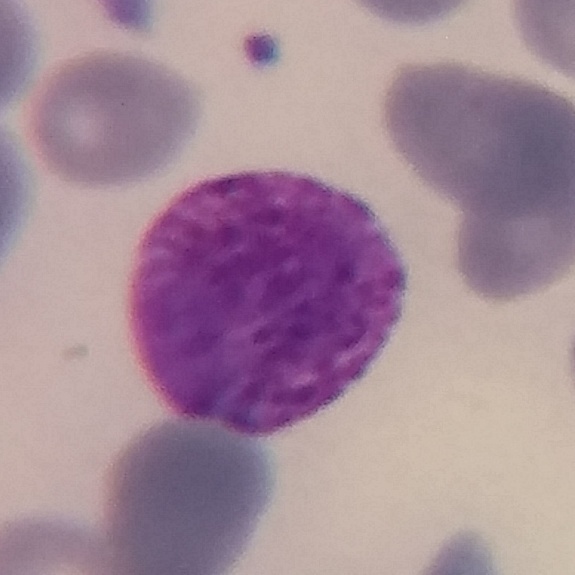

Q: What is this?
A: It is a basophilic granulocyte.